Peripheral blood film
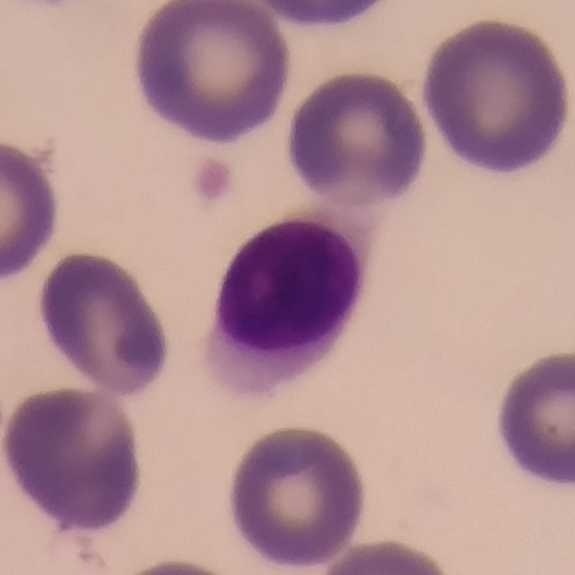
Morphology → lymphocyte.